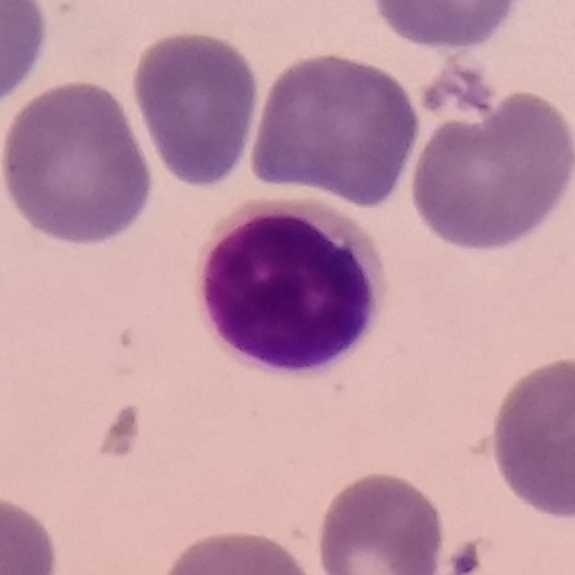
Specimen: peripheral blood smear.
Classification: lymphocyte.